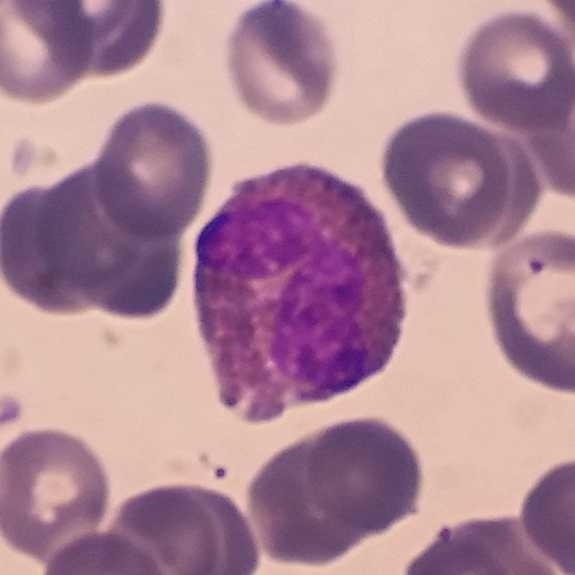{"cell_type": "eosinophil"}

Image: Peripheral blood smear.